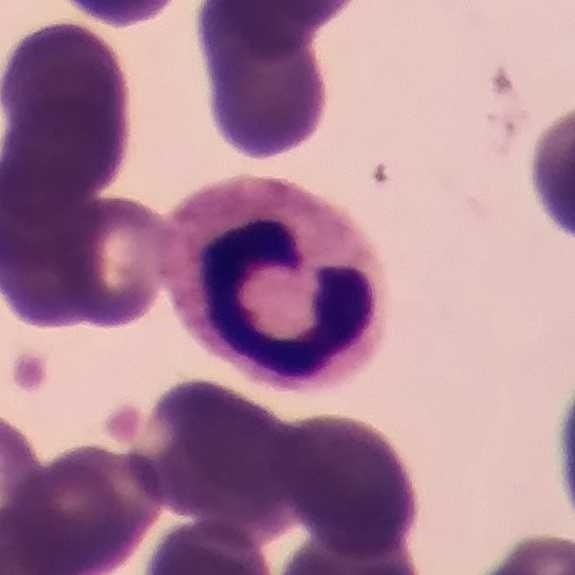
Neutrophilic granulocyte.
100× magnification. Peripheral blood film.